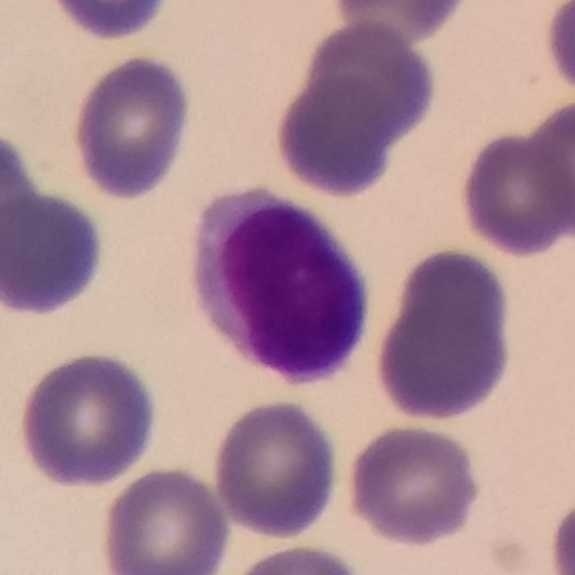 Preparation: Peripheral blood film.

Q: What type of cell is this?
A: This is a lymphocyte.